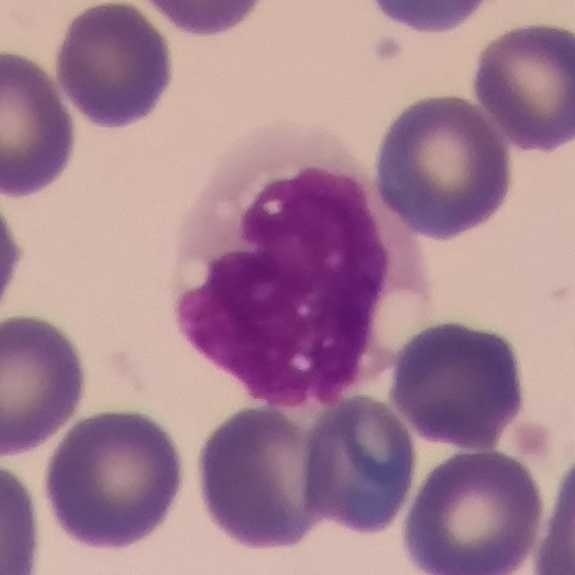Monocyte.
Preparation: Peripheral blood smear.